575×575; peripheral blood film.
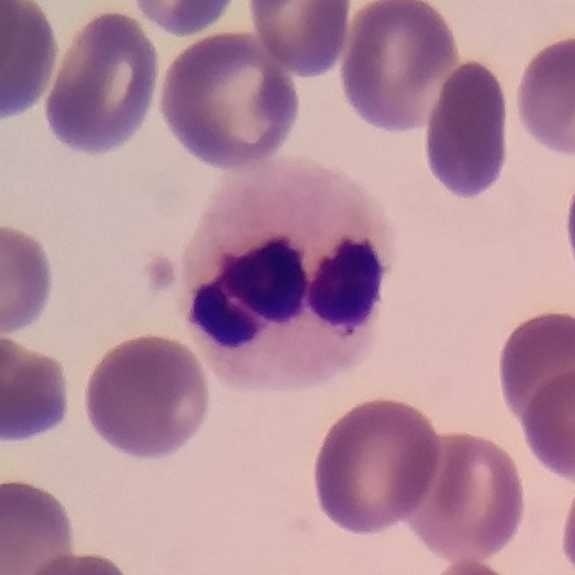
Cell: neutrophil.